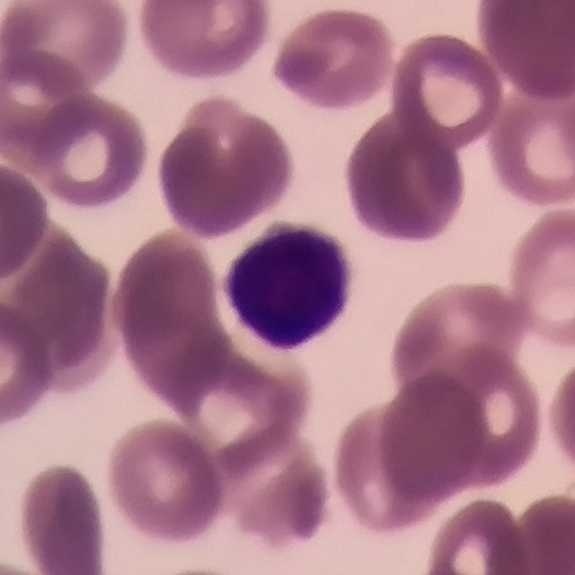 The cell shown is a lymphocyte.